Peripheral blood smear.
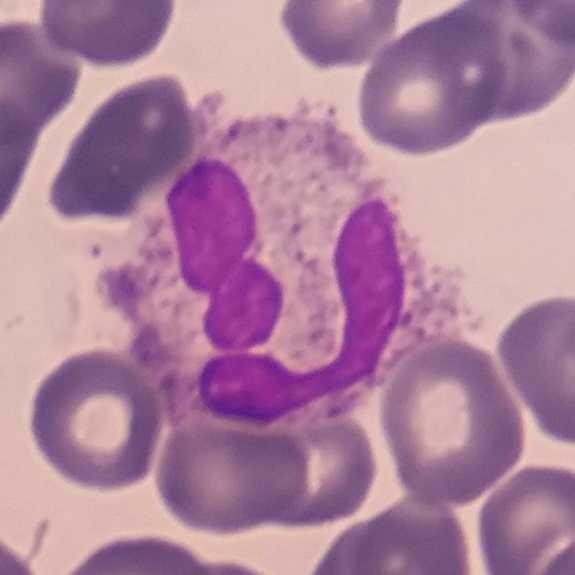

Q: What cell is this?
A: This is a neutrophilic granulocyte.